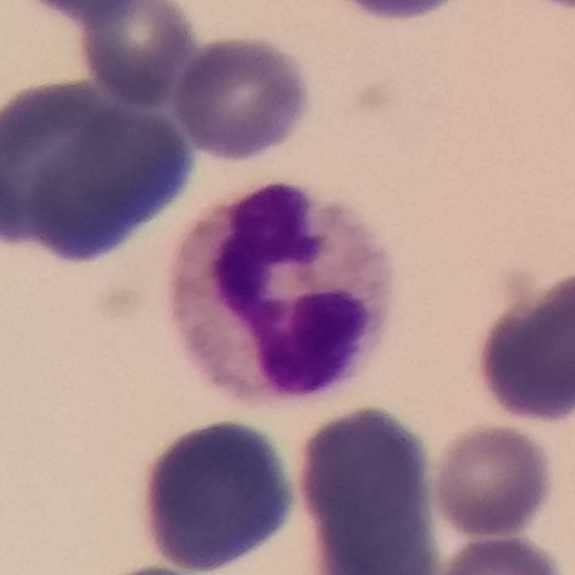Context: Smartphone camera mounted on the microscope eyepiece · single white blood cell cropped from the smear photograph · peripheral blood smear.

Q: Which type of white blood cell is this?
A: Neutrophilic granulocyte.